Peripheral blood film: 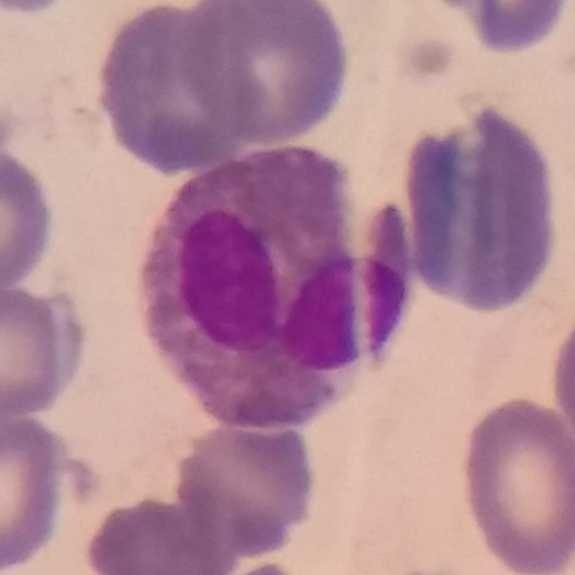Q: What type of cell is this?
A: It is an eosinophilic granulocyte.